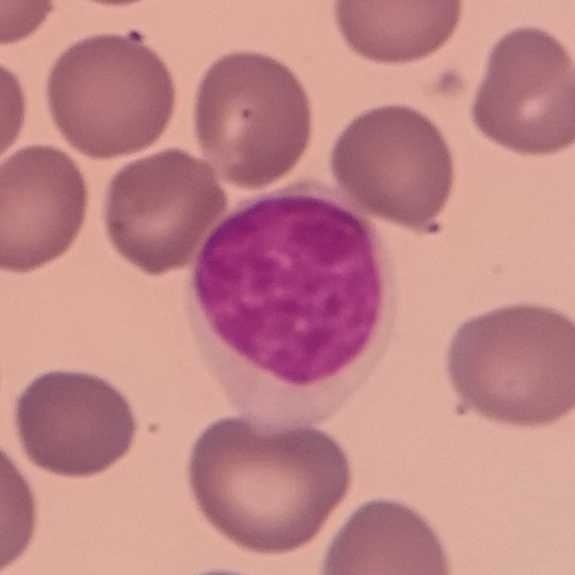
This is a lymphocyte.
Peripheral blood smear. Magnification 100×.